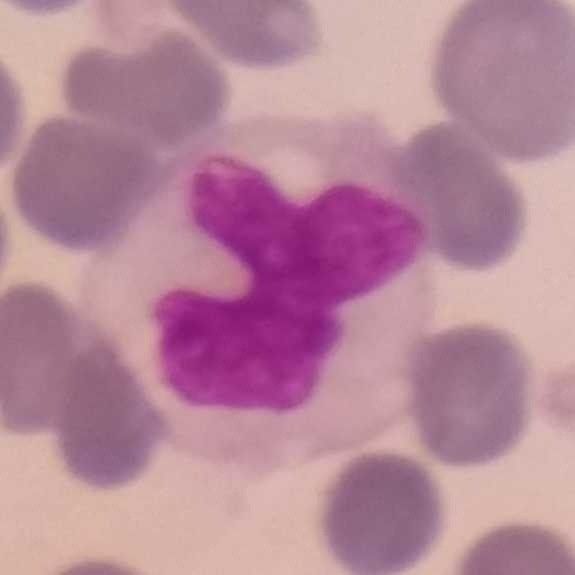 Acquisition: Peripheral blood smear; smartphone photomicrograph; Giemsa stain. The cell shown is a monocyte.